Peripheral blood smear: 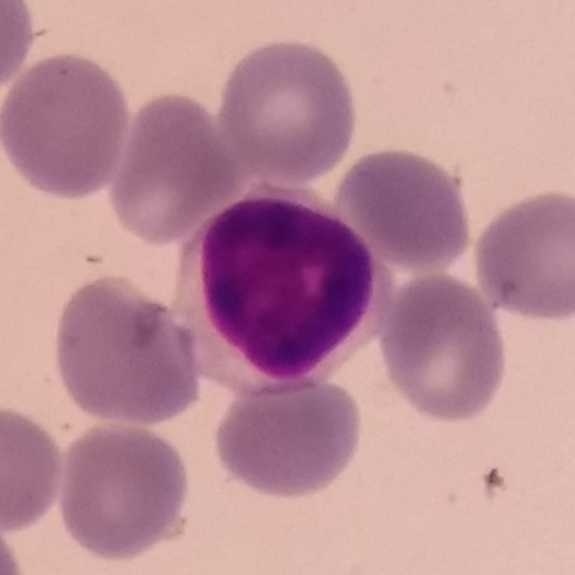
Identified as a lymphocyte.